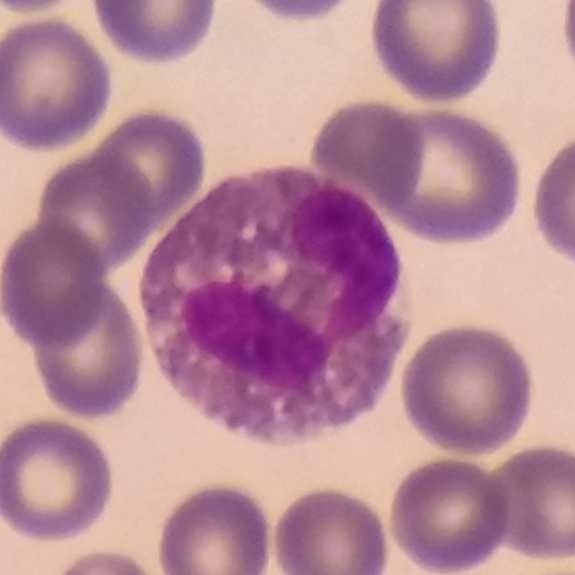
The cell shown is an eosinophil.